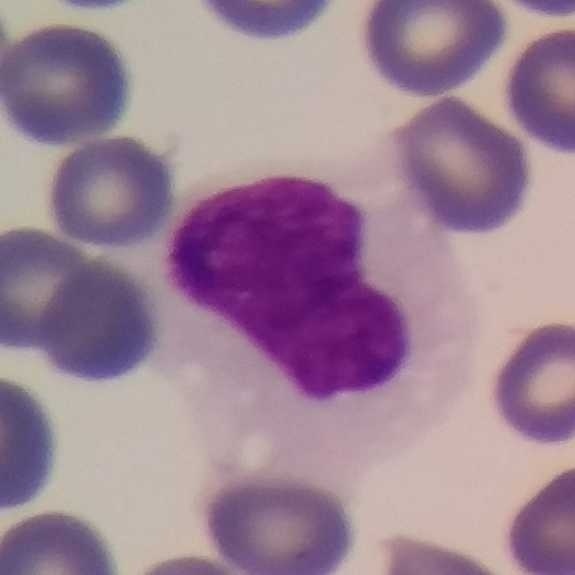A monocyte.